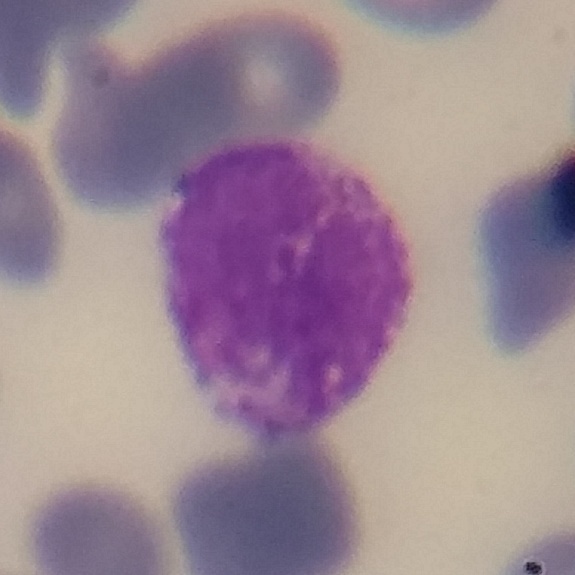Impression → basophilic granulocyte.
Preparation: Single white blood cell cropped from the smear photograph · peripheral blood film.